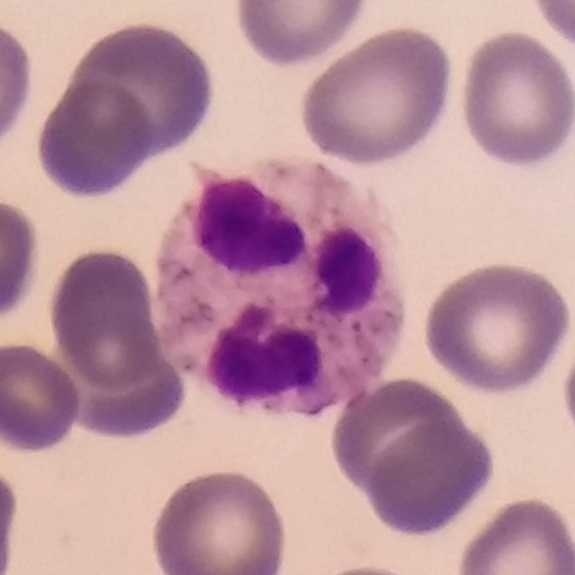

Showing a neutrophil granulocyte.
Peripheral blood film.